Image size 575×575; peripheral blood smear:
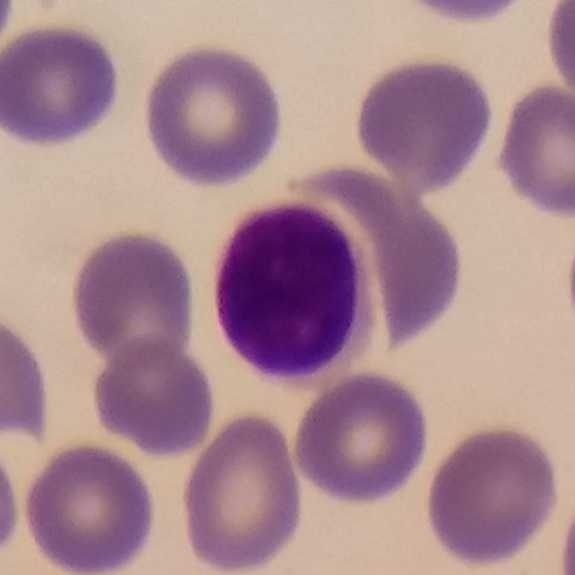

Single cell identified as a lymphocyte.